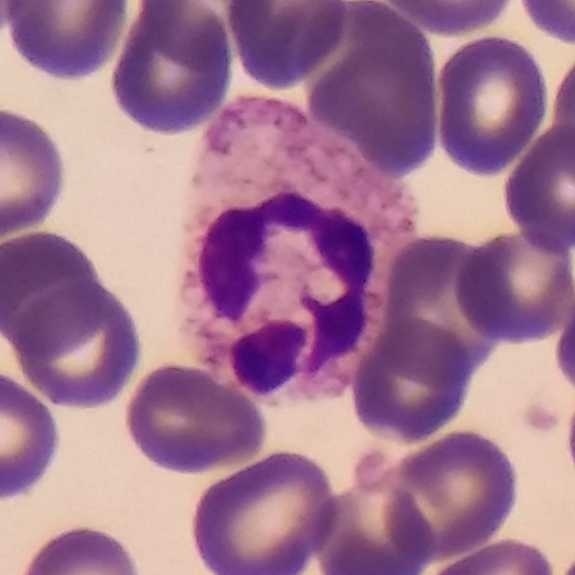

Specimen: peripheral blood smear.
Morphological class: neutrophilic granulocyte.